Peripheral blood smear. Cropped to one leukocyte:
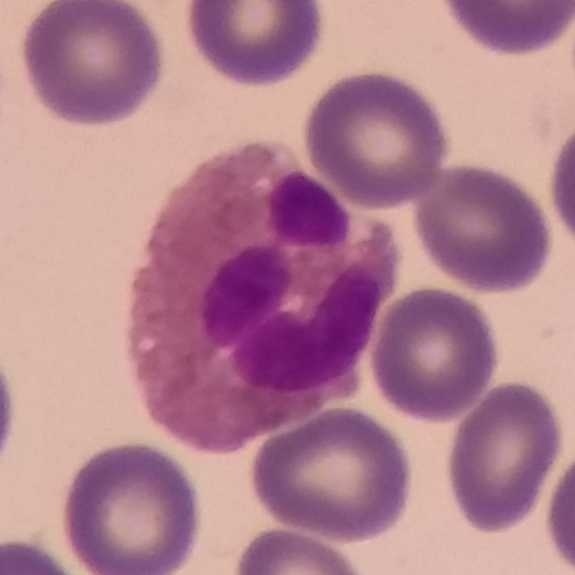
Eosinophilic granulocyte.